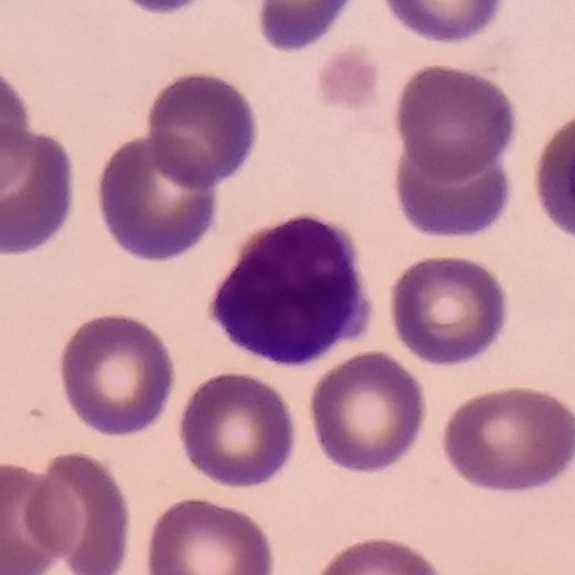 Single cell identified as a lymphocyte. Preparation: Peripheral blood smear; cropped to one leukocyte; smartphone camera mounted on the microscope eyepiece.